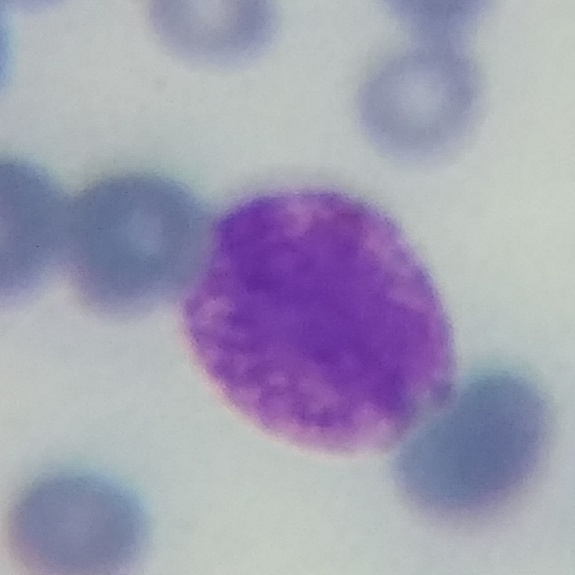

Classification: basophil.